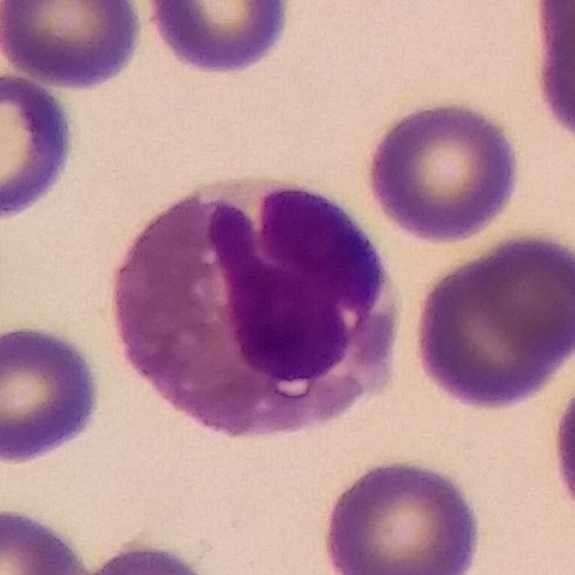Image: Smartphone photomicrograph; Giemsa stain; peripheral blood smear.
Q: What is this?
A: It is an eosinophil.